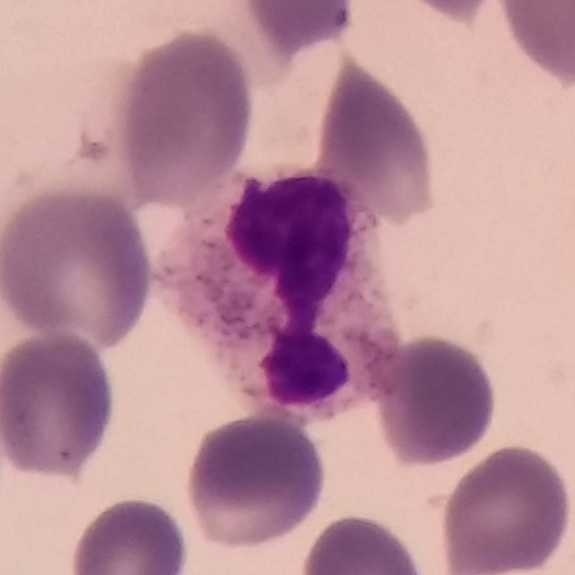 Morphological class = neutrophil granulocyte.
Peripheral blood smear.